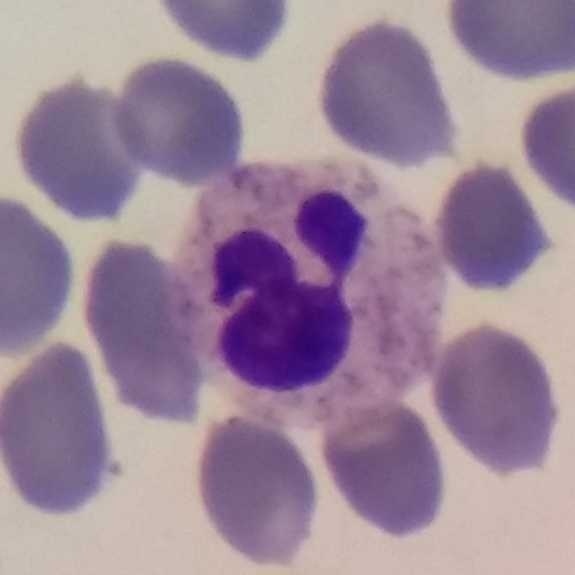Impression — neutrophil.